Peripheral blood film · cropped to one leukocyte:
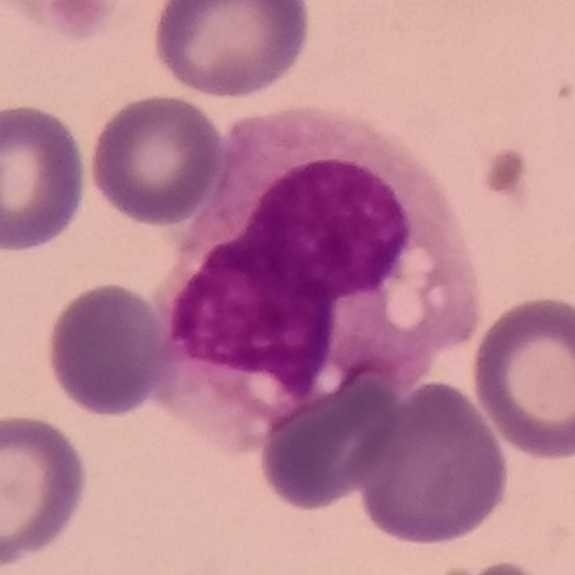Monocyte.